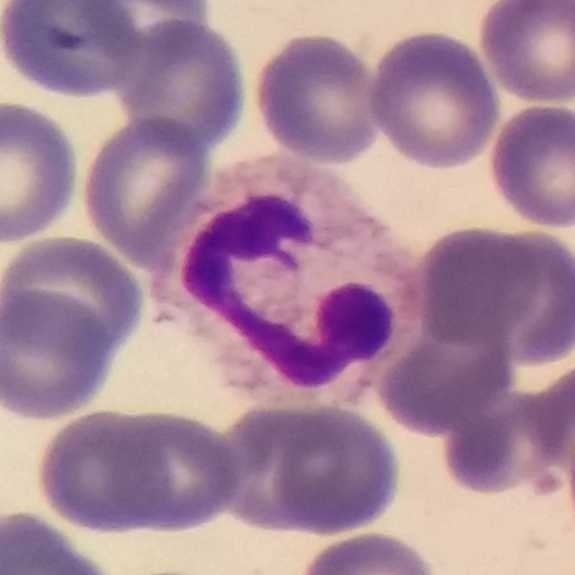Acquisition: Peripheral blood film · magnification 100×. Identified as a neutrophilic granulocyte.